Peripheral blood film: 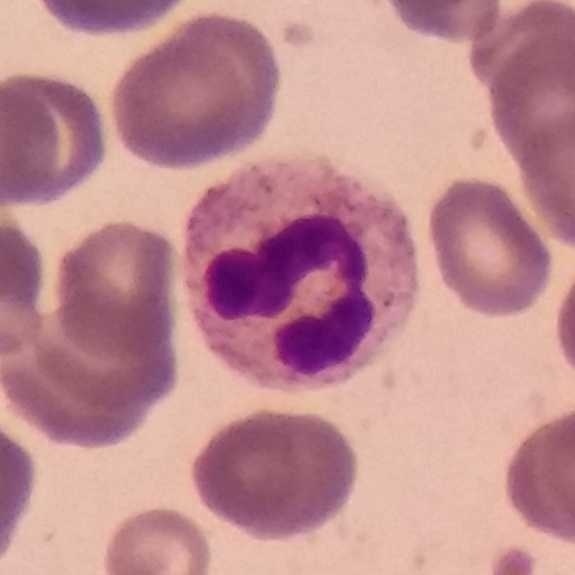 The white blood cell in this image is a neutrophil.